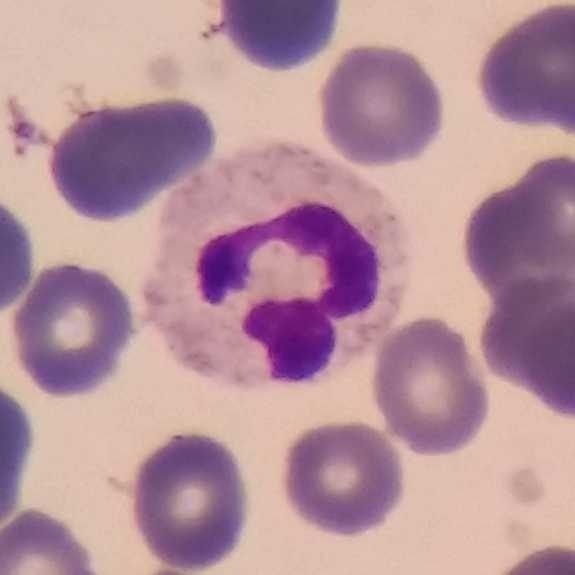Q: What is the morphological classification of this cell?
A: This is a neutrophil.